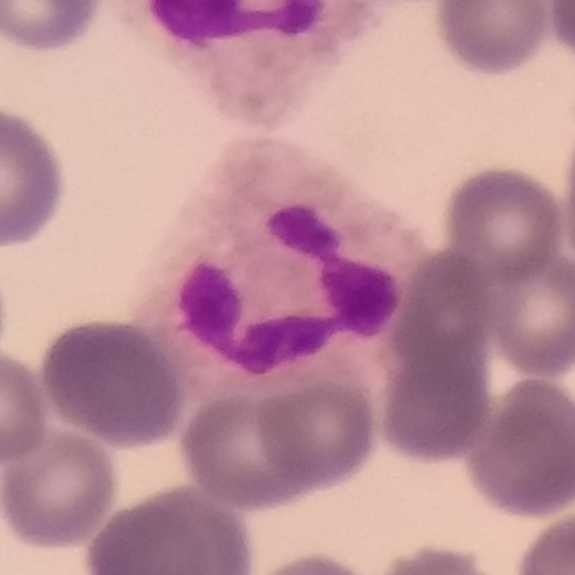

Single-cell crop from a peripheral blood smear: neutrophilic granulocyte.